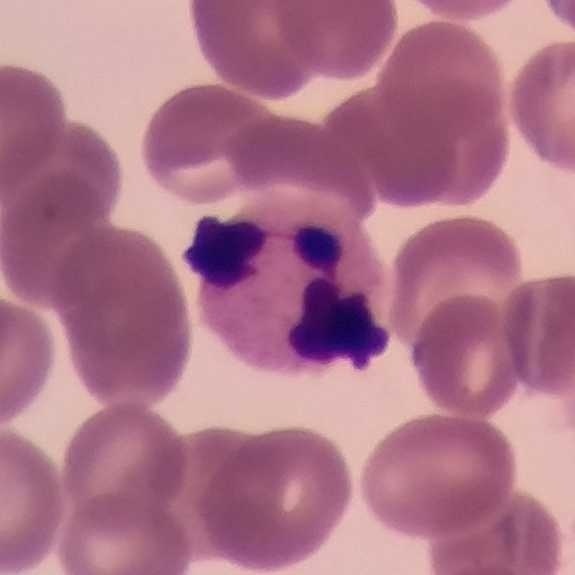Showing a neutrophilic granulocyte. Acquisition: Peripheral blood film.